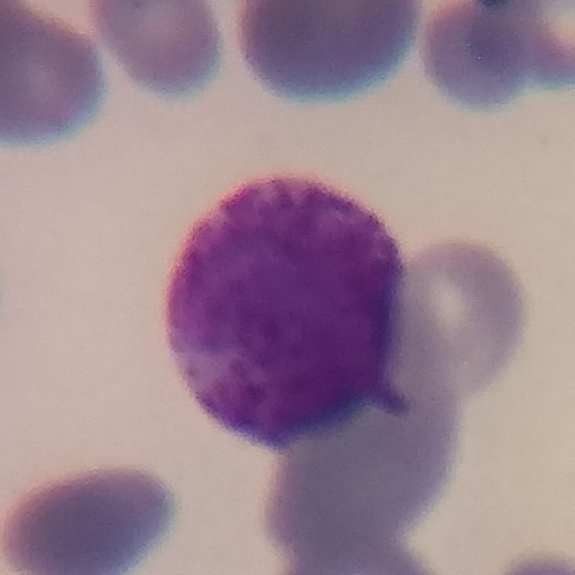 Impression → basophilic granulocyte.
Preparation: Peripheral blood film.